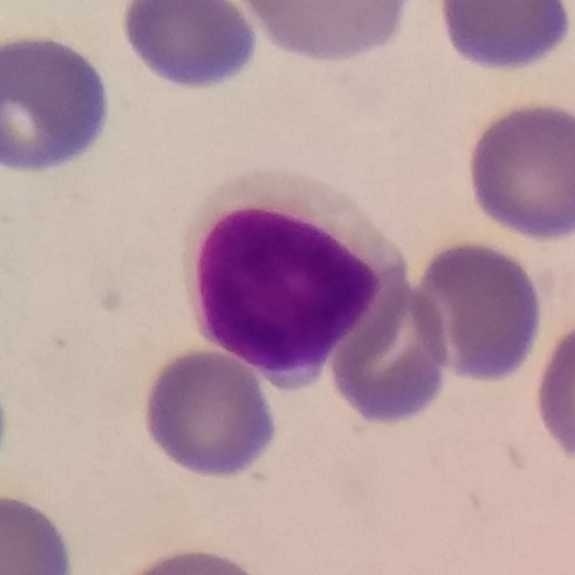
Cell type: lymphocyte.